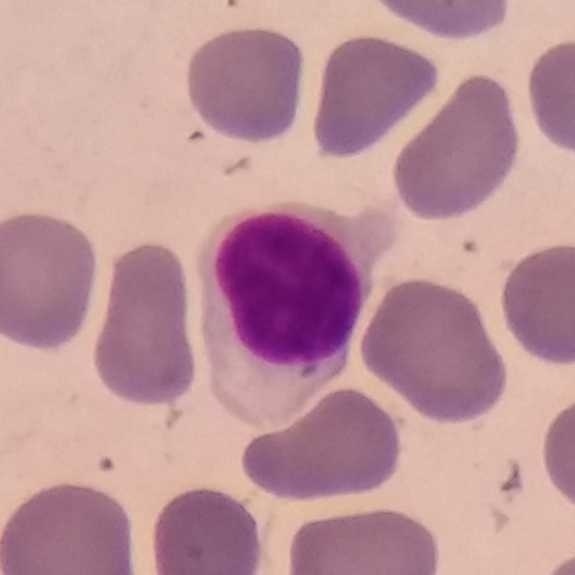

Morphology — lymphocyte.

Image: Magnification 100×. Peripheral blood smear.